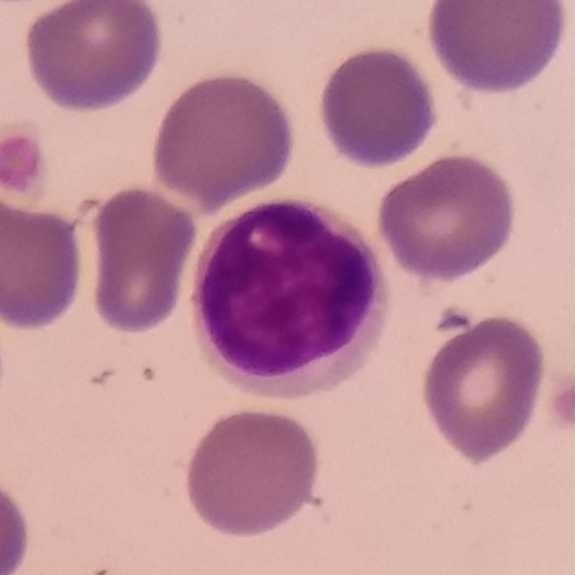 White blood cell type — lymphocyte.
Acquisition: Peripheral blood film.